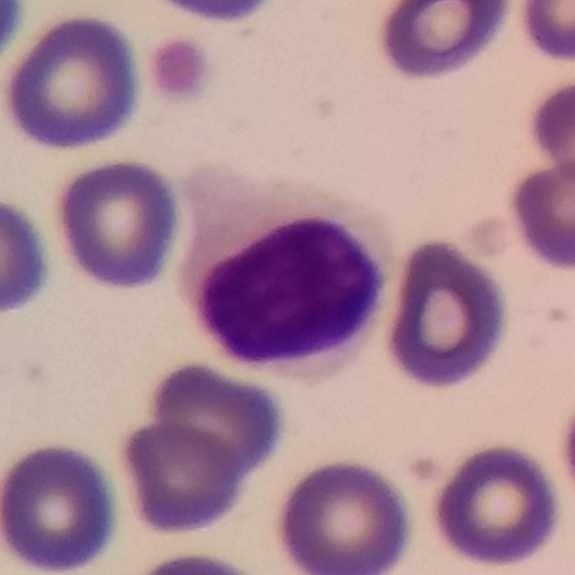 White blood cell type = lymphocyte.